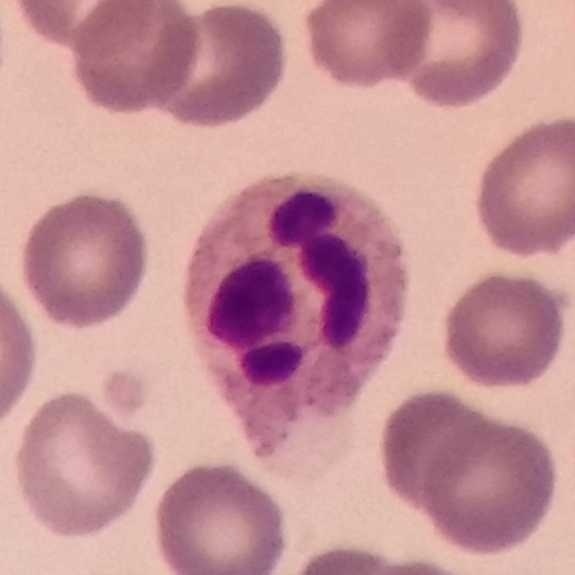
Classification — neutrophil.